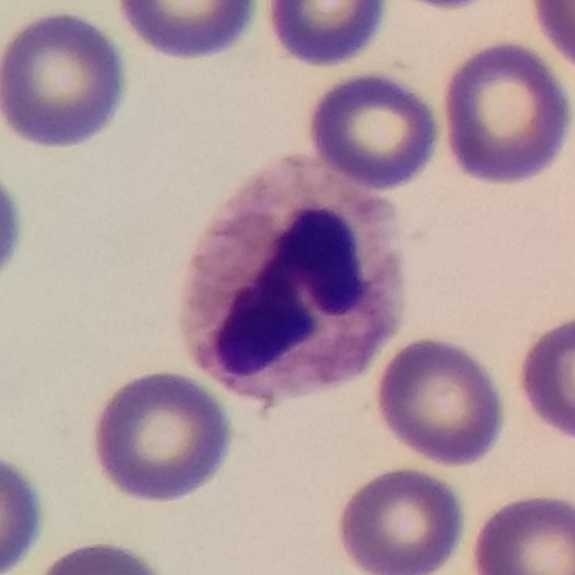 Showing a neutrophil granulocyte.